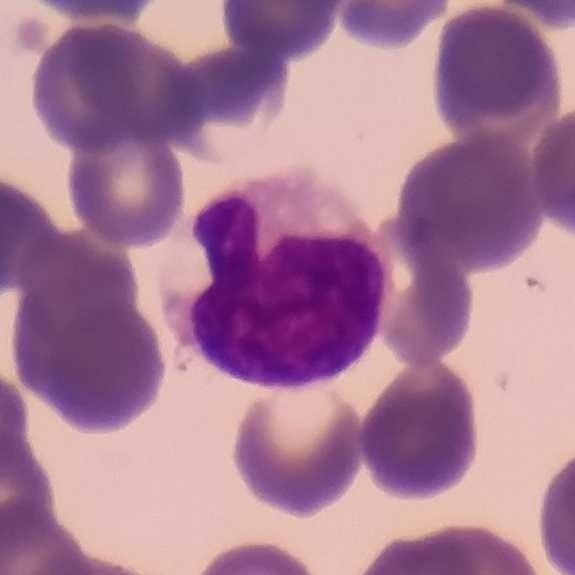Showing a lymphocyte.
Context: Giemsa stain; single-cell field; peripheral blood film.